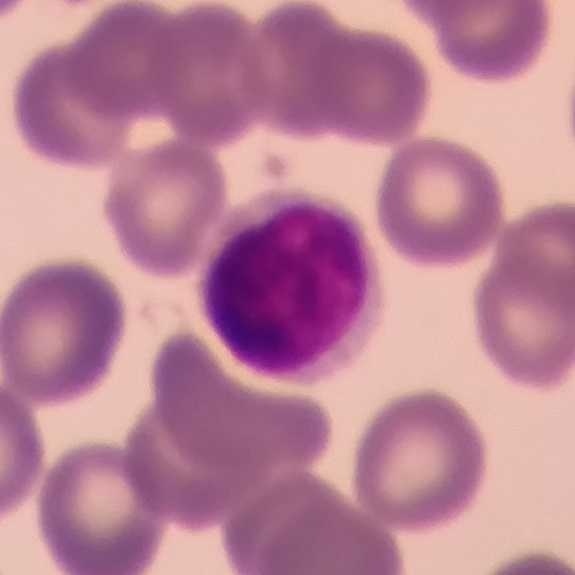

Morphological class = lymphocyte.